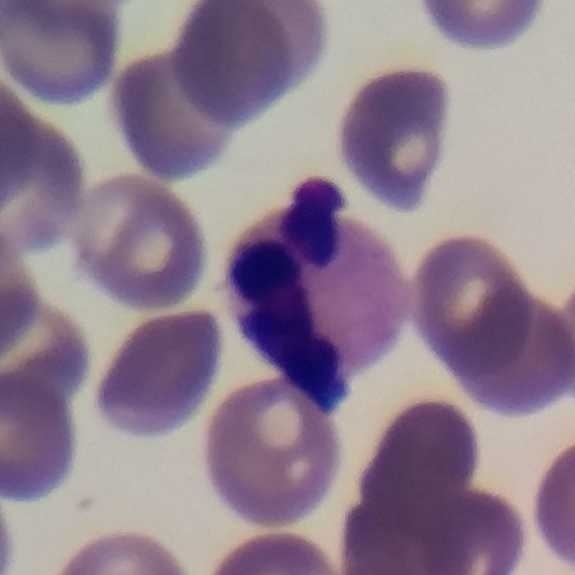 This is a neutrophil granulocyte. Preparation: Peripheral blood smear.